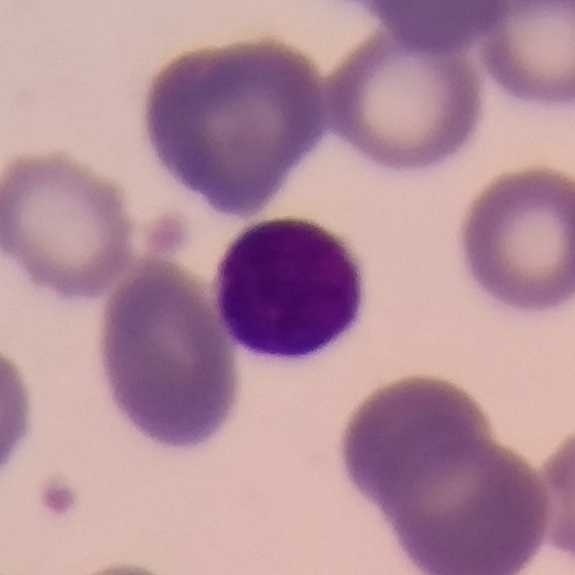 Q: What cell is this?
A: This is a lymphocyte.